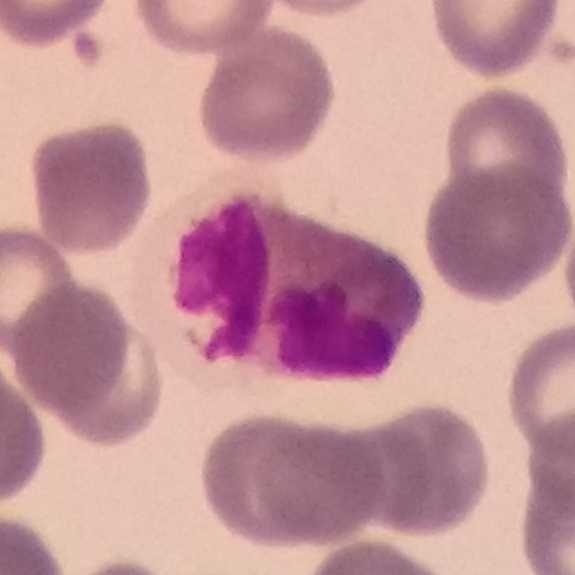Peripheral blood film.

Q: Which type of white blood cell is this?
A: This is an eosinophilic granulocyte.